Giemsa stain. Single white blood cell cropped from the smear photograph. Peripheral blood smear.
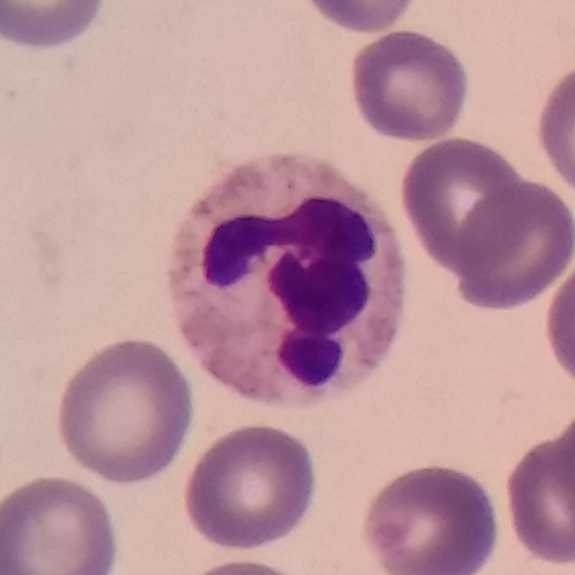 Specimen: peripheral blood smear.
White blood cell type: neutrophil granulocyte.
Lineage: myeloid.